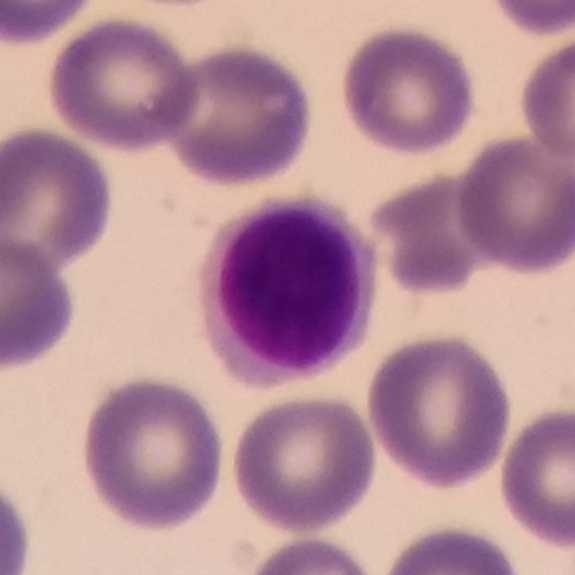
Q: Classify this leukocyte.
A: It is a lymphocyte.
Image: Peripheral blood film.